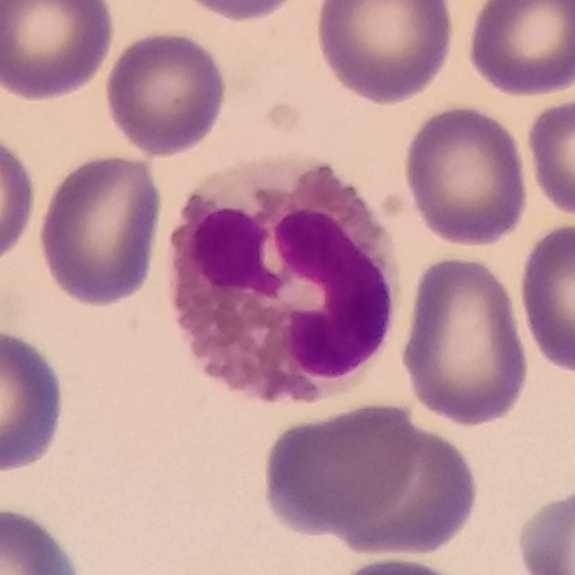

Preparation: 575×575 px; peripheral blood film.
Q: What type of cell is this?
A: It is an eosinophilic granulocyte.